Peripheral blood film · single-cell field · Giemsa stain.
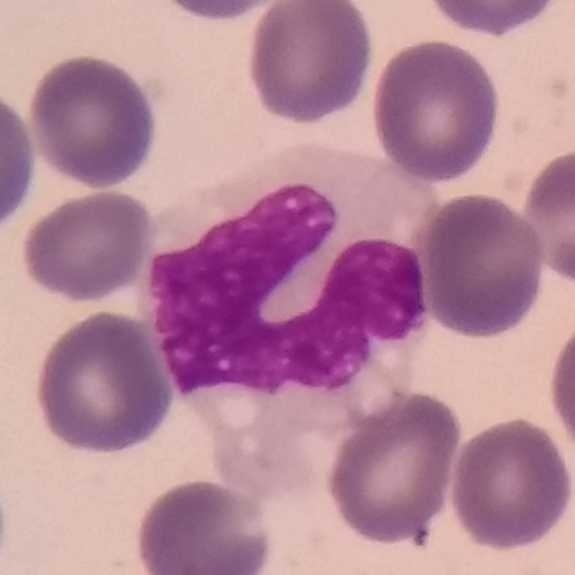Q: Which type of white blood cell is this?
A: It is a monocyte.